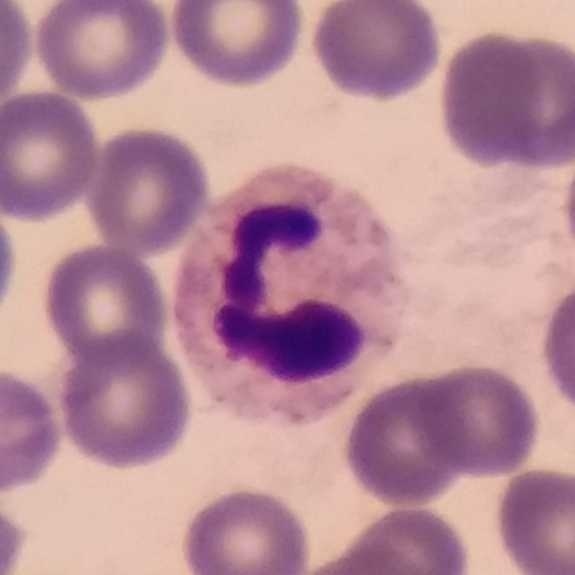Morphology → neutrophilic granulocyte.

Acquisition: Peripheral blood film · 575 by 575 pixels · smartphone camera mounted on the microscope eyepiece.